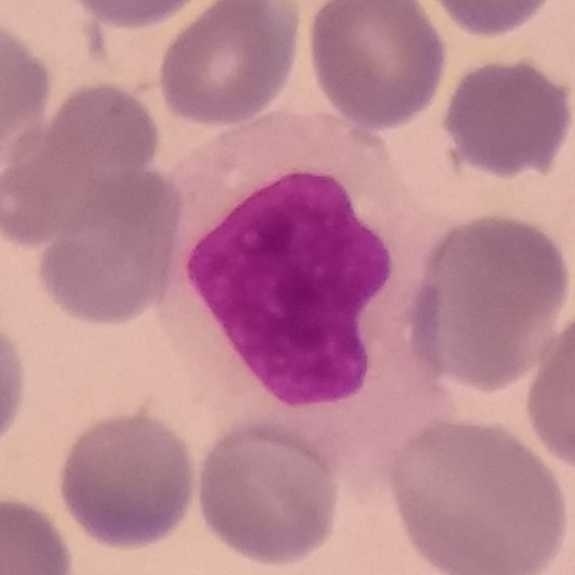The cell shown is a monocyte.
Image: Peripheral blood smear · single-cell crop.